Stained with Giemsa; peripheral blood film:
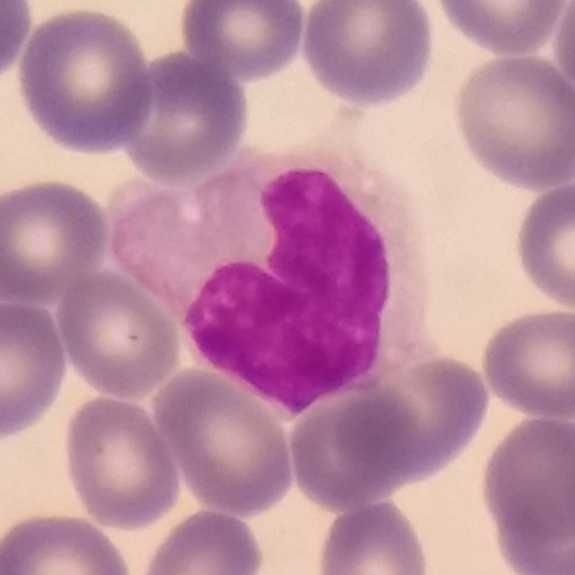
Identified as a monocyte.